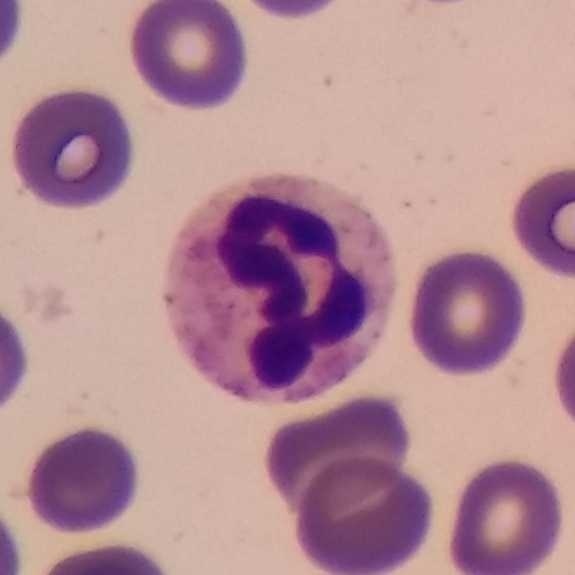

Impression — neutrophil.
Peripheral blood film.